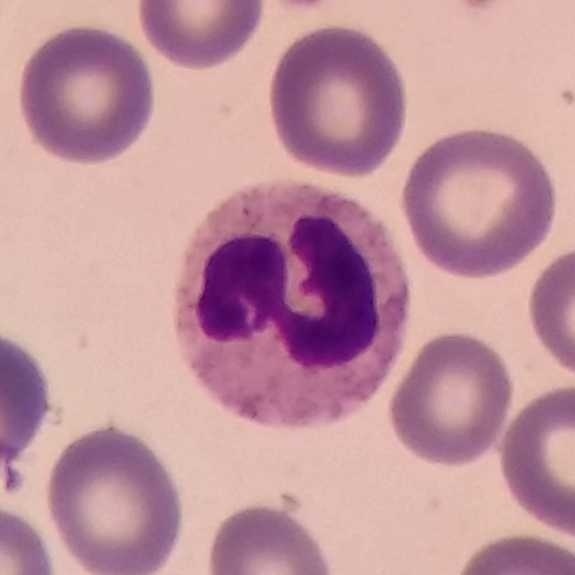
Neutrophil. Image: Peripheral blood smear. 100× magnification.